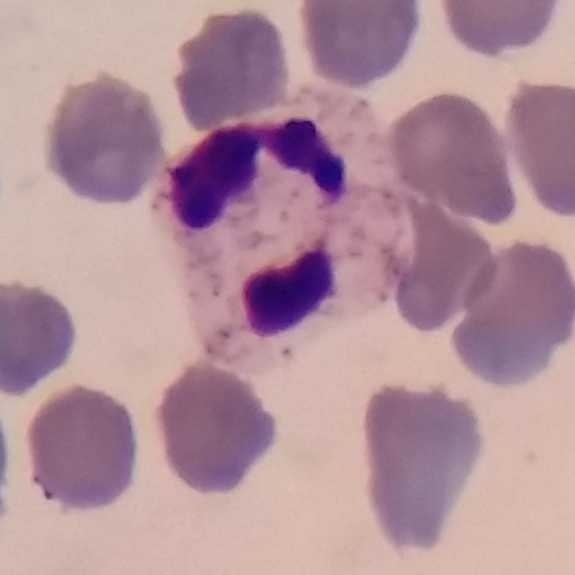Q: What is shown here?
A: This is a neutrophilic granulocyte.